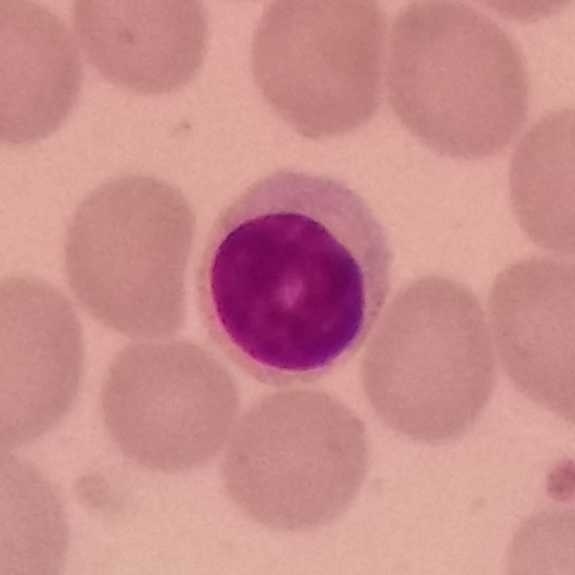 Image: Smartphone camera mounted on the microscope eyepiece; peripheral blood smear. White blood cell type = lymphocyte.